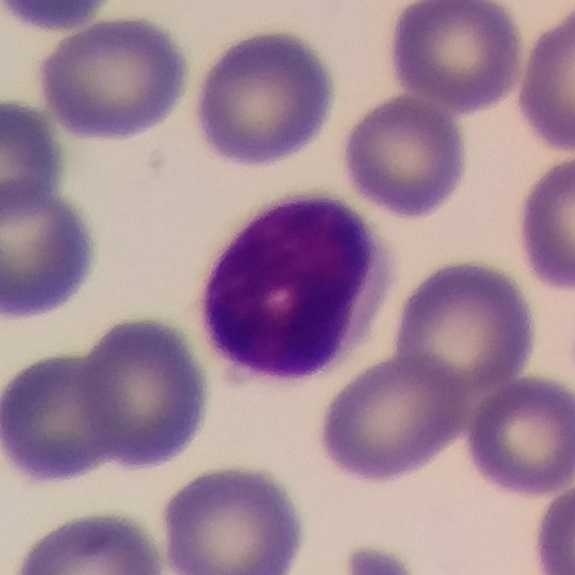

Cell = lymphocyte.